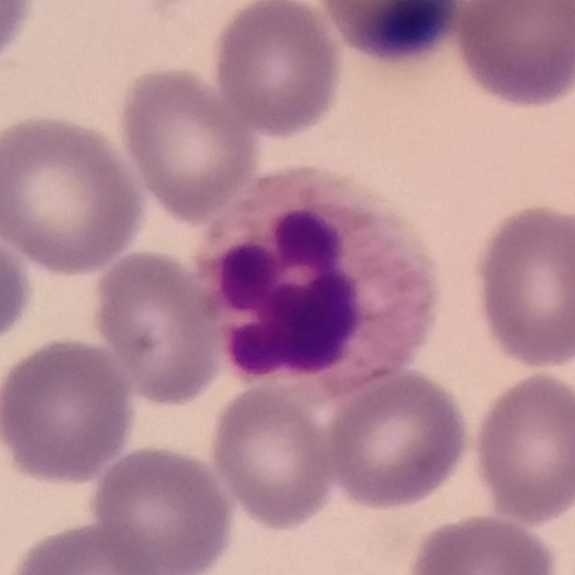
Q: Which cell type is shown here?
A: A neutrophilic granulocyte. Acquisition: 575 by 575 pixels; peripheral blood film.